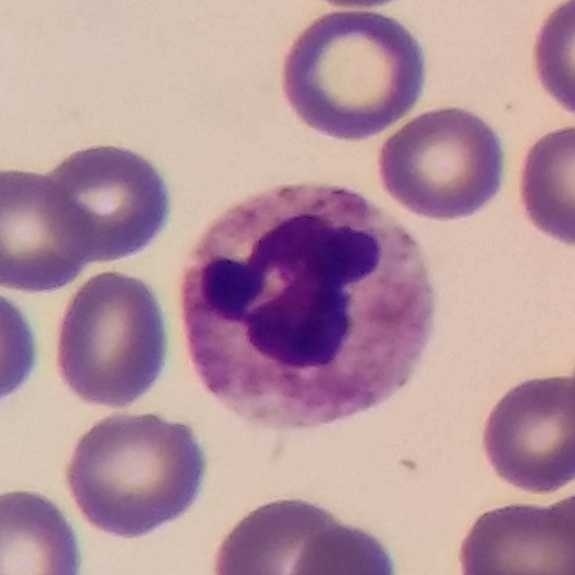

Neutrophilic granulocyte.
Preparation: Peripheral blood smear.